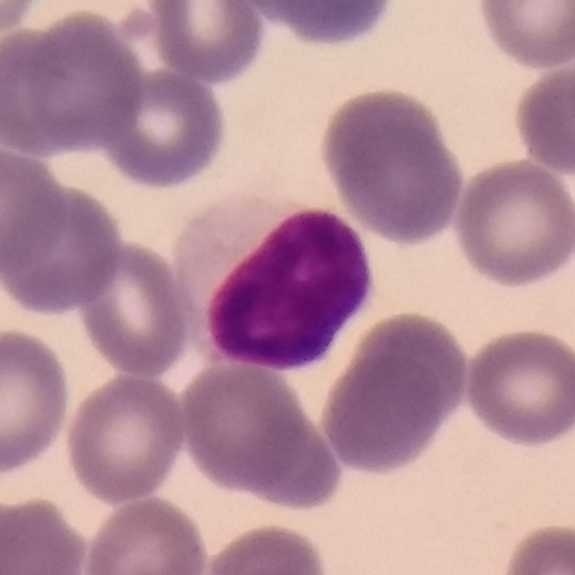
Showing a lymphocyte.
Acquisition: Peripheral blood film.